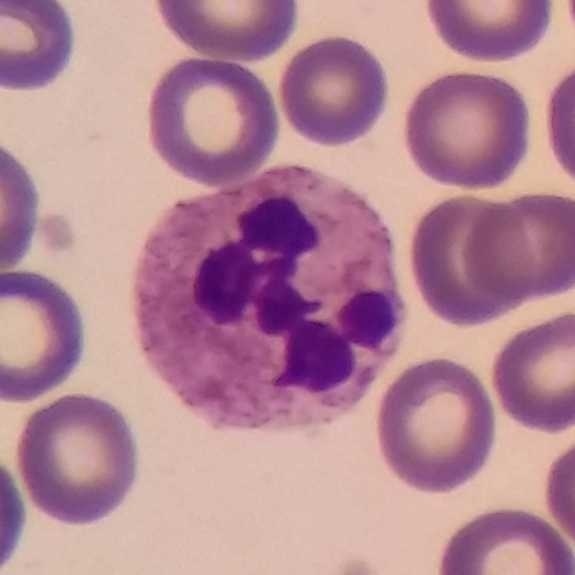 Peripheral blood film.

White blood cell type: neutrophilic granulocyte.